Peripheral blood film; magnification 100×: 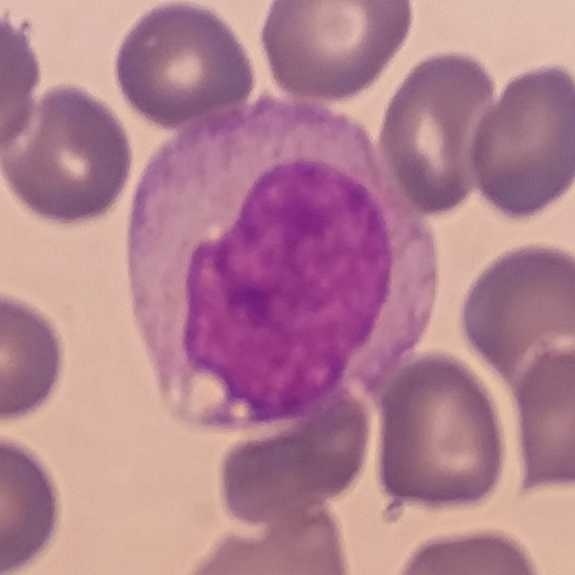
Monocyte.